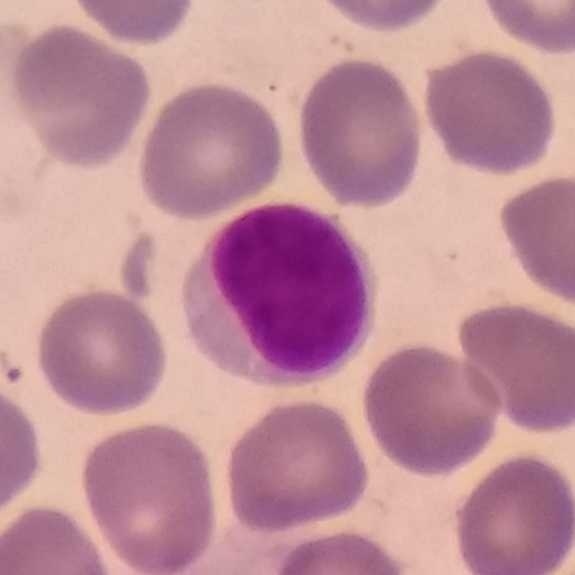
Specimen: peripheral blood smear.
Classification: lymphocyte. Image: Stained with Giemsa; single-cell field.